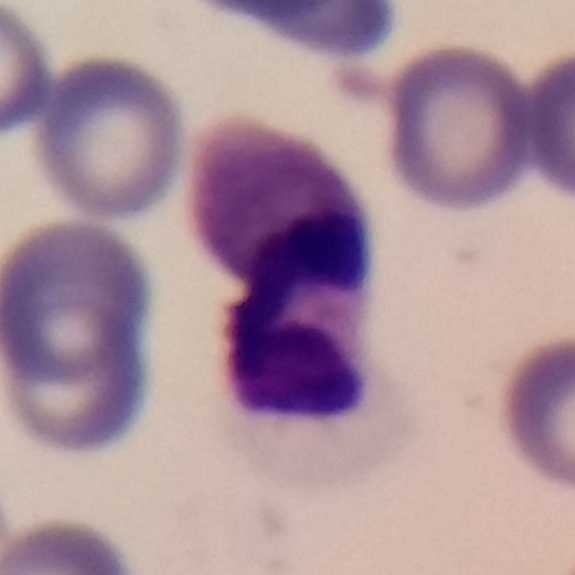 Peripheral blood smear showing a neutrophilic granulocyte.